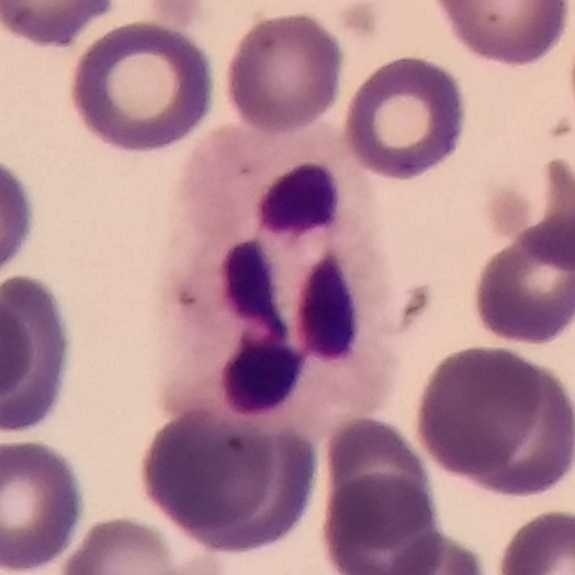Peripheral blood film, single cell — neutrophilic granulocyte.